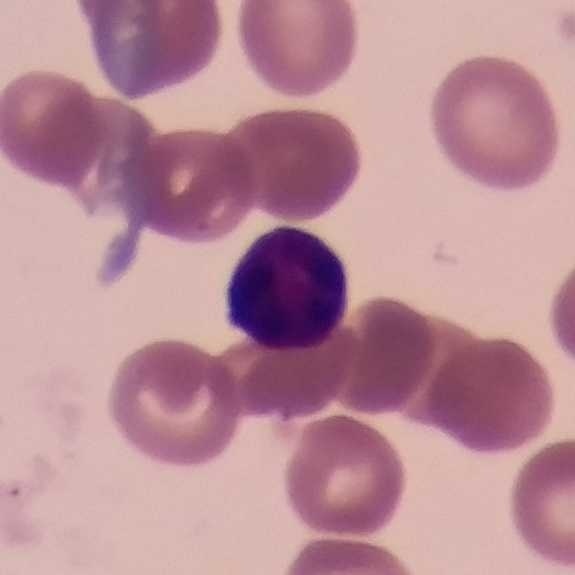Q: Which cell type is shown here?
A: It is a lymphocyte.
Peripheral blood smear.